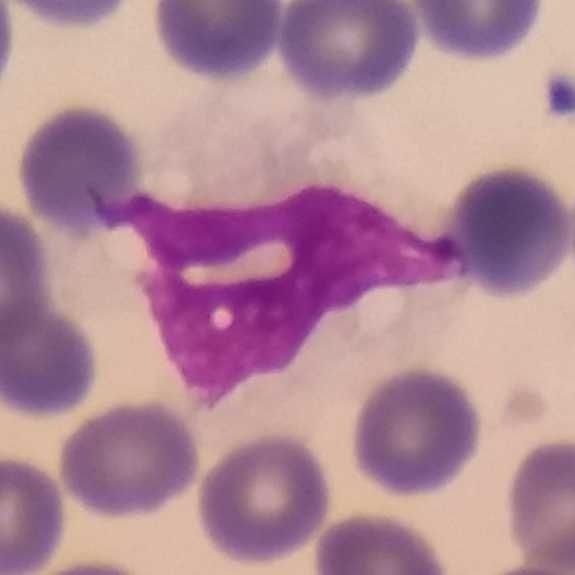
The morphological class is monocyte. Peripheral blood smear.